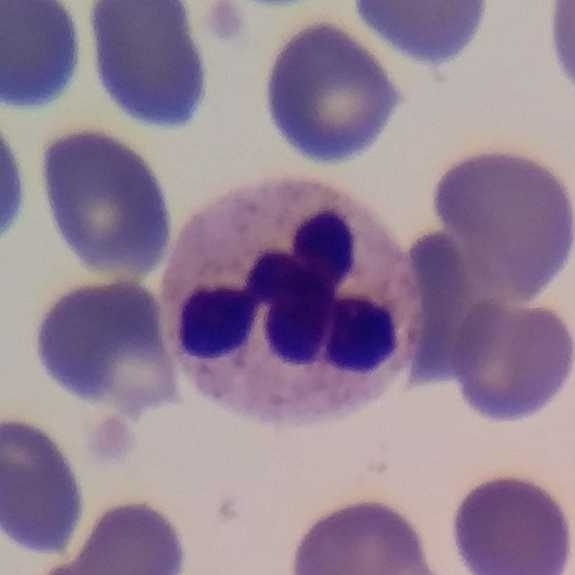

Q: Which cell type is shown here?
A: This is a neutrophil.
Acquisition: Imaged at 100×. Peripheral blood smear.